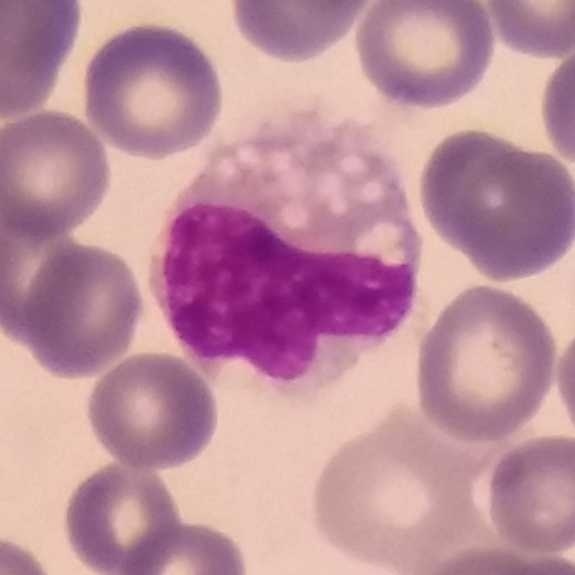 Acquisition: Peripheral blood smear.

Cell: monocyte.